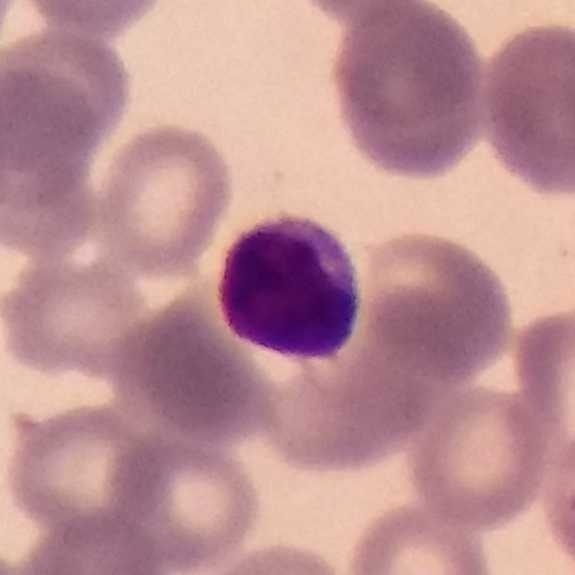The white blood cell type is lymphocyte. Preparation: Peripheral blood smear.